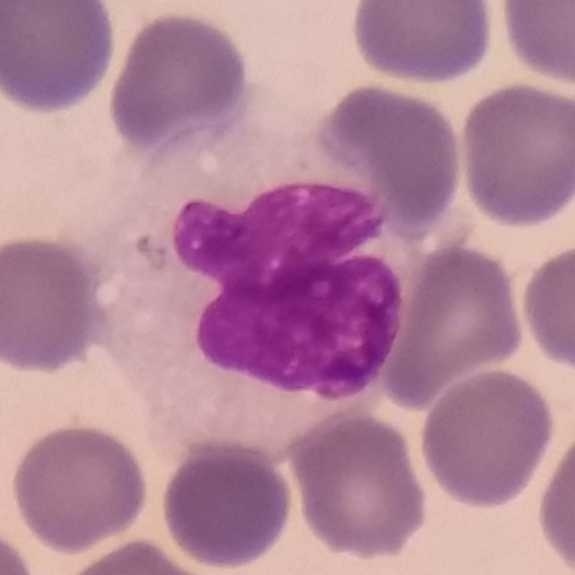Preparation: Peripheral blood film. The cell shown is a monocyte.